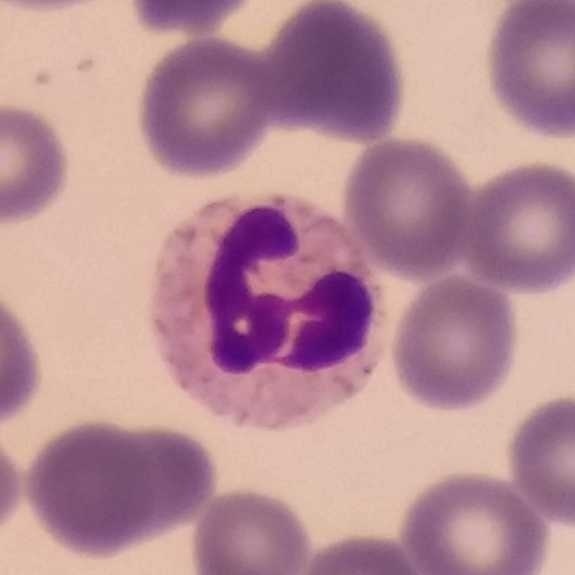 Acquisition: Peripheral blood film. {"cell_type": "neutrophilic granulocyte", "lineage": "myeloid"}